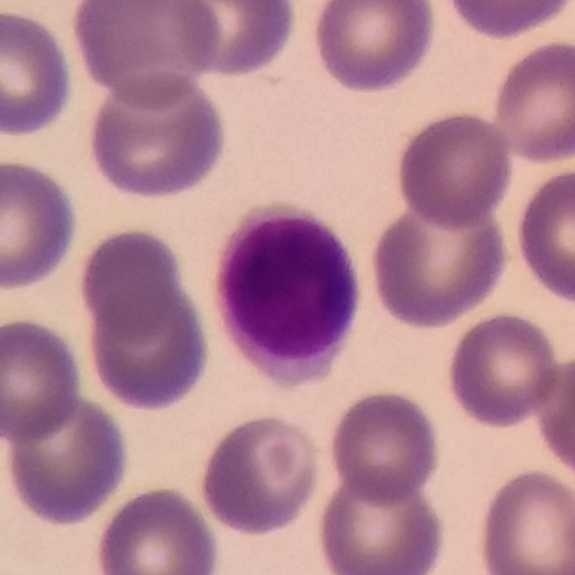
Q: Which cell type is shown here?
A: It is a lymphocyte.